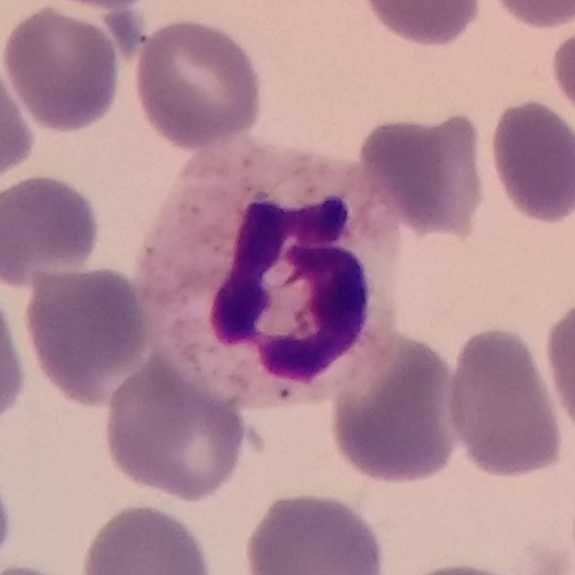This is a neutrophilic granulocyte.

Context: Giemsa-stained · peripheral blood smear.